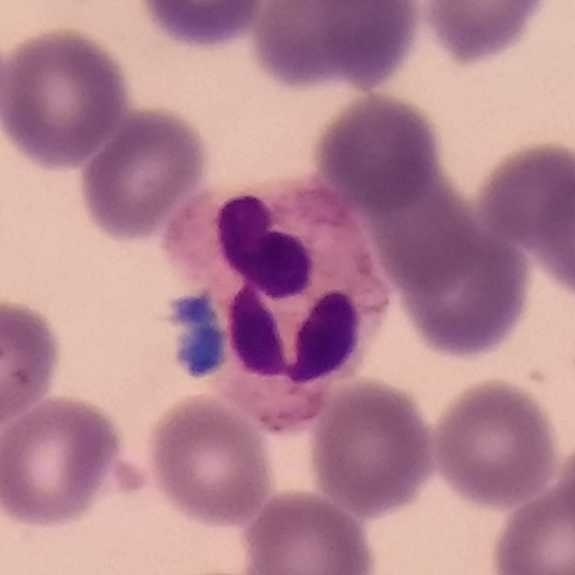
Single cell identified as a neutrophil.